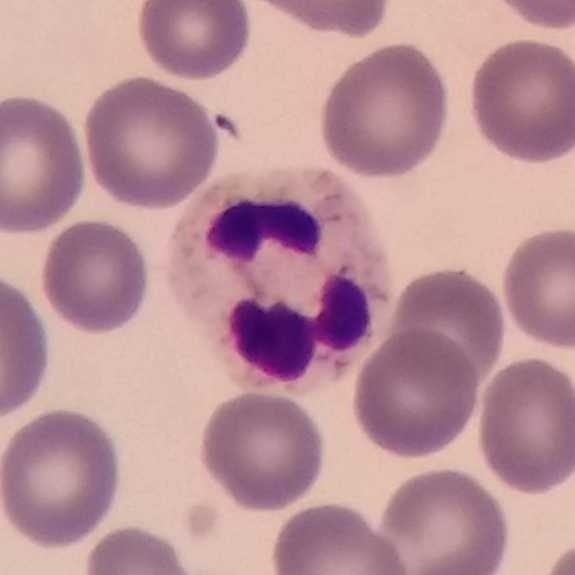Peripheral blood smear. Cell: neutrophilic granulocyte.